Phone-camera image taken through the microscope ocular; peripheral blood smear; stained with Giemsa — 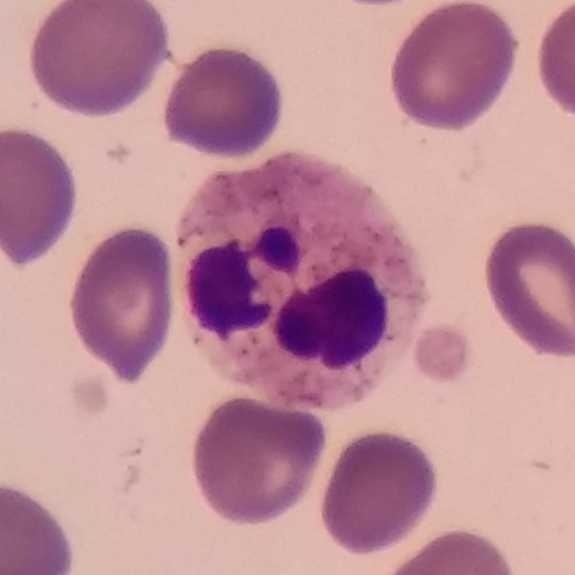Specimen: peripheral blood smear.
Cell type: neutrophil granulocyte.
Lineage: myeloid.